Giemsa stain. Peripheral blood smear.
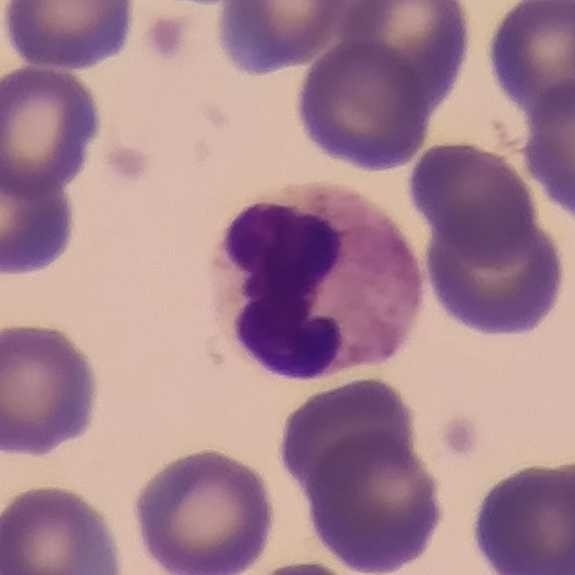 Showing a neutrophilic granulocyte.